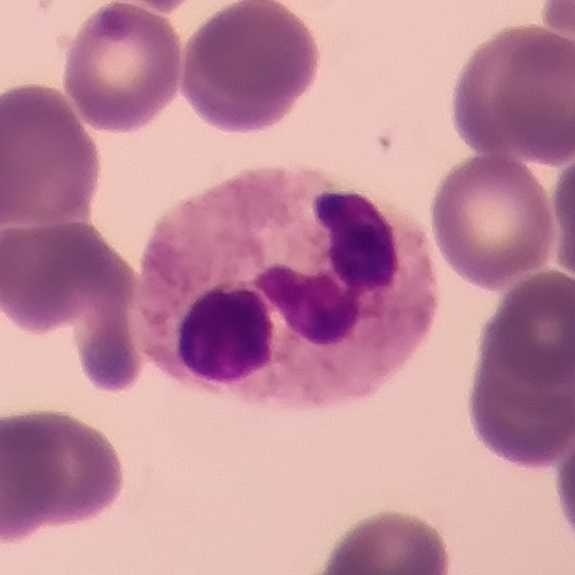

Acquisition: Peripheral blood smear.

Classification: neutrophilic granulocyte.